575×575 · peripheral blood film.
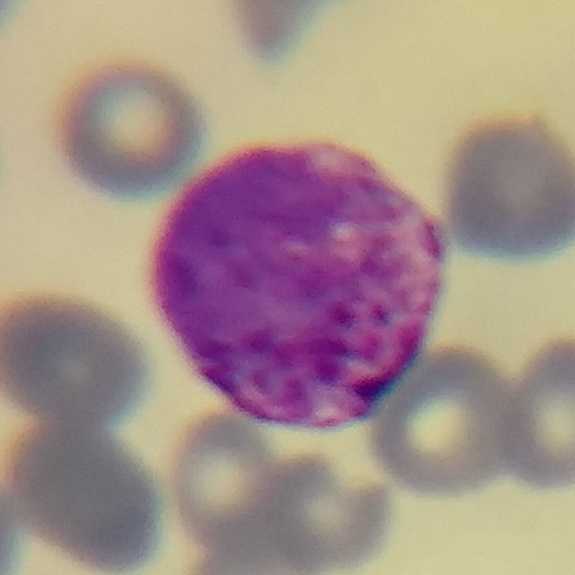 Morphological class — basophilic granulocyte.